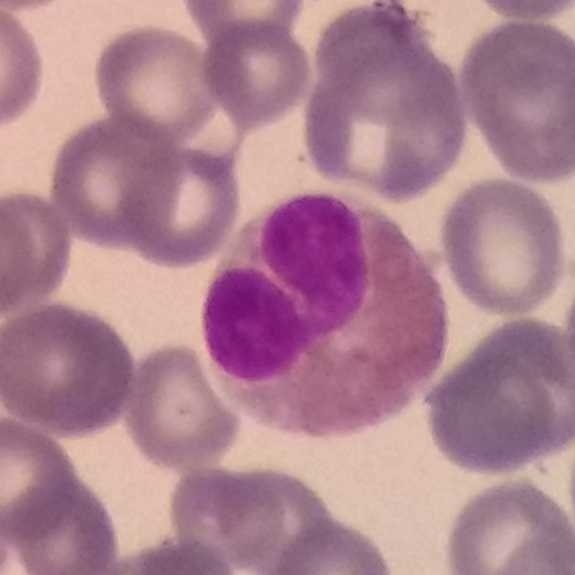Specimen: peripheral blood smear.
Classification: eosinophilic granulocyte.